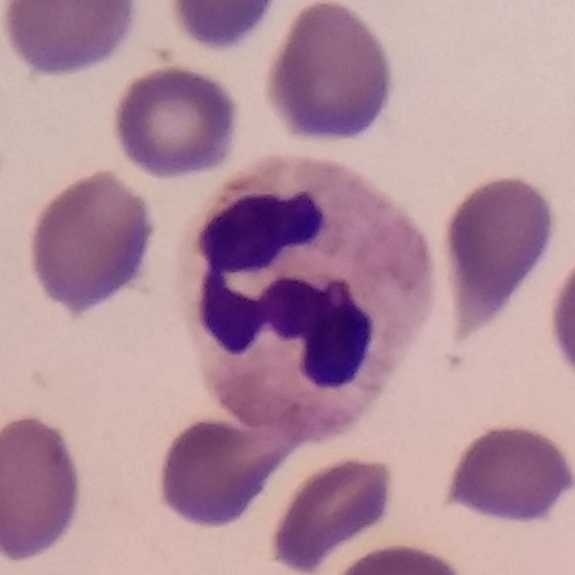
Morphology consistent with a neutrophil.

Peripheral blood film.